Phone-camera image taken through the microscope ocular; Giemsa stain; peripheral blood film:
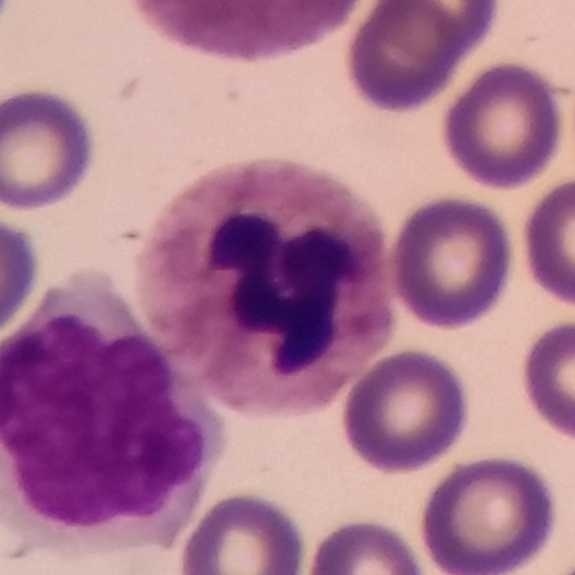{"cell_type": "neutrophilic granulocyte", "lineage": "myeloid"}